Peripheral blood film:
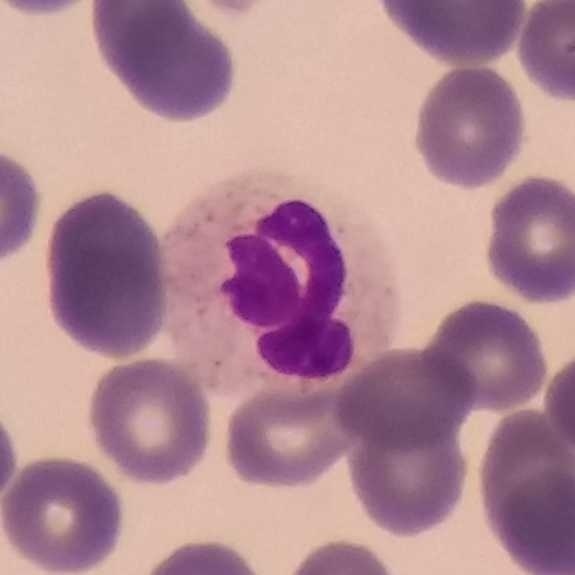

Morphology → neutrophil.